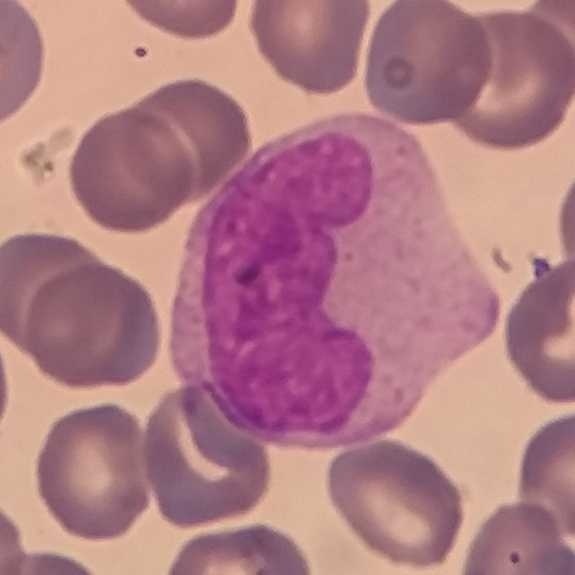
Acquisition: Peripheral blood smear.
This is a monocyte.